Peripheral blood film · 575 by 575 pixels · stained with Giemsa
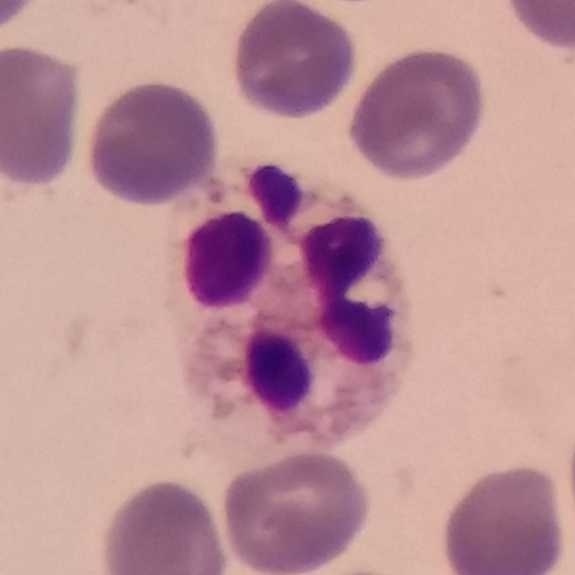 A neutrophilic granulocyte.